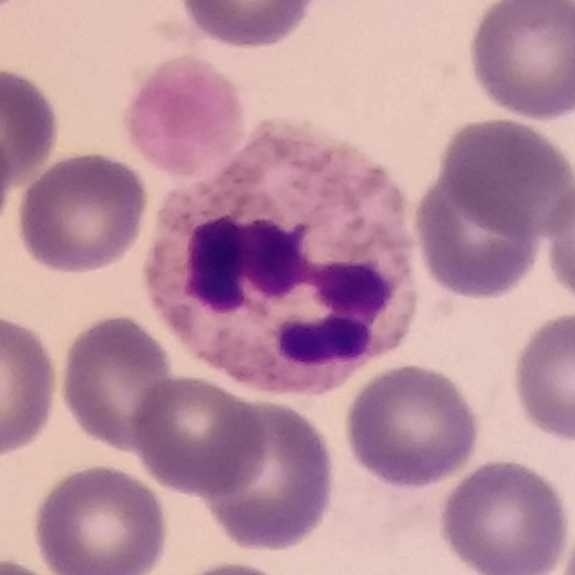 The cell shown is a neutrophilic granulocyte. Image: Peripheral blood smear.